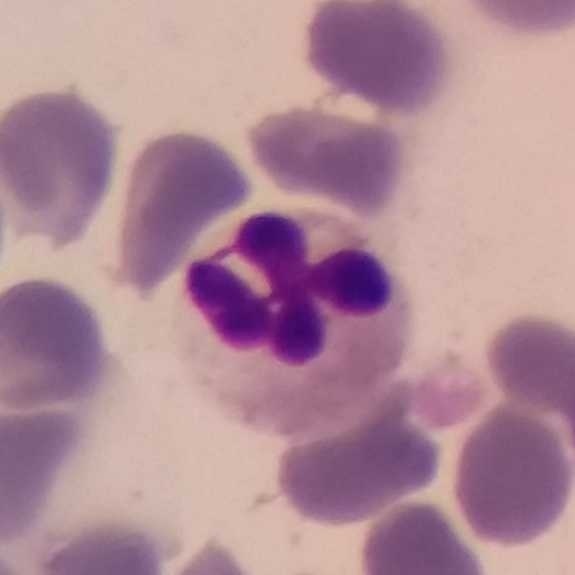White blood cell type = neutrophil.
Acquisition: Imaged at 100×. Peripheral blood smear.